Smartphone camera mounted on the microscope eyepiece · peripheral blood smear: 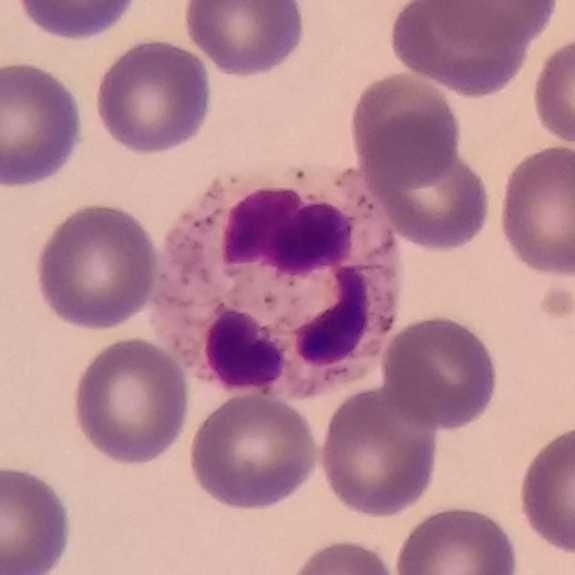
Impression — neutrophilic granulocyte.